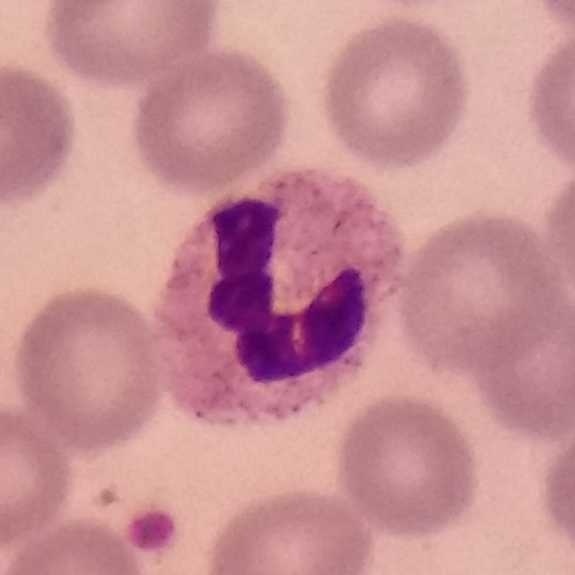 The white blood cell in this image is a neutrophil granulocyte. Acquisition: Peripheral blood smear.